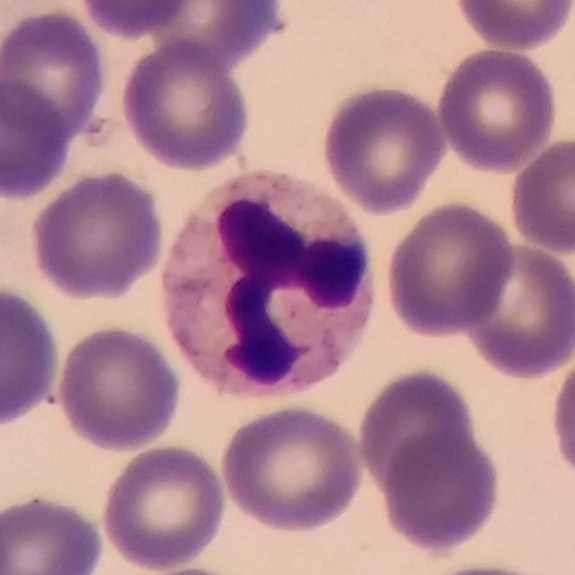 The white blood cell in this image is a neutrophilic granulocyte.
Preparation: Peripheral blood smear. Magnification 100×.